Peripheral blood smear · photographed through a light microscope with a smartphone camera
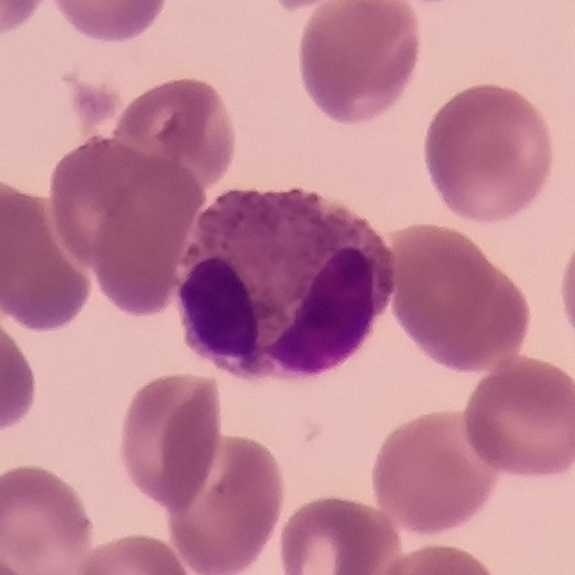 Q: What is shown here?
A: It is an eosinophil.